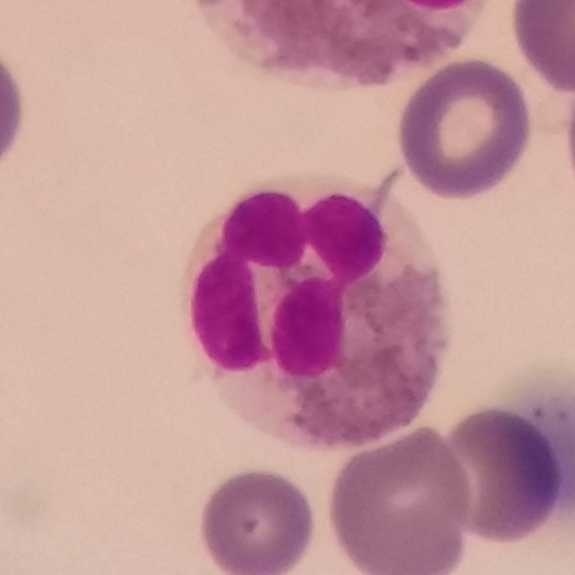The cell shown is an eosinophil.